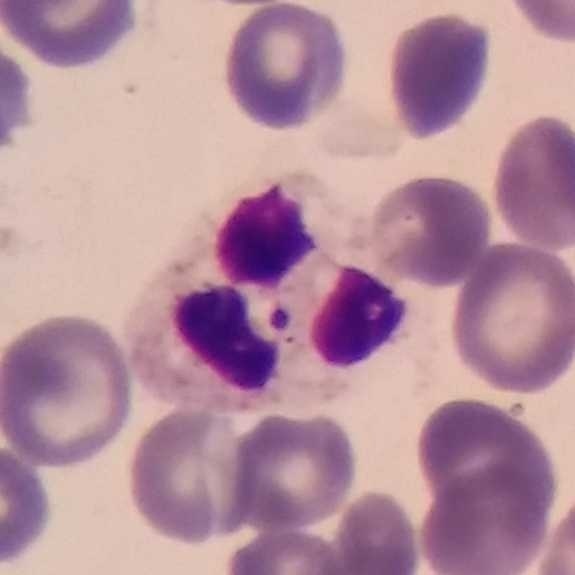

Single cell identified as a neutrophilic granulocyte.
Peripheral blood smear.